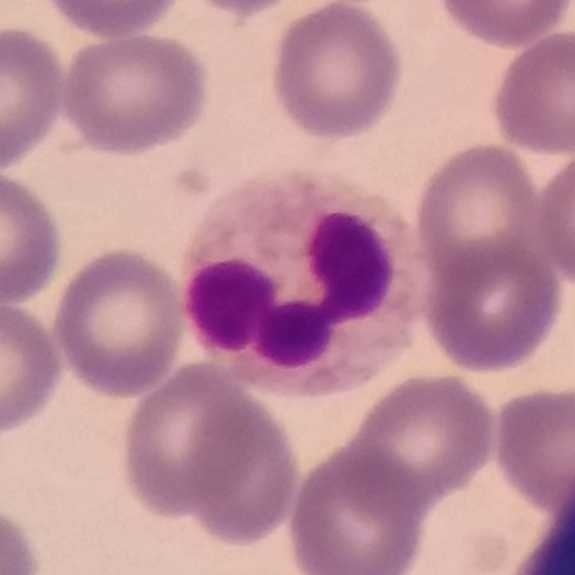Acquisition: Image size 575×575; peripheral blood film.
Q: What type of cell is this?
A: This is a neutrophil.